575 by 575 pixels · peripheral blood smear · cropped to one leukocyte:
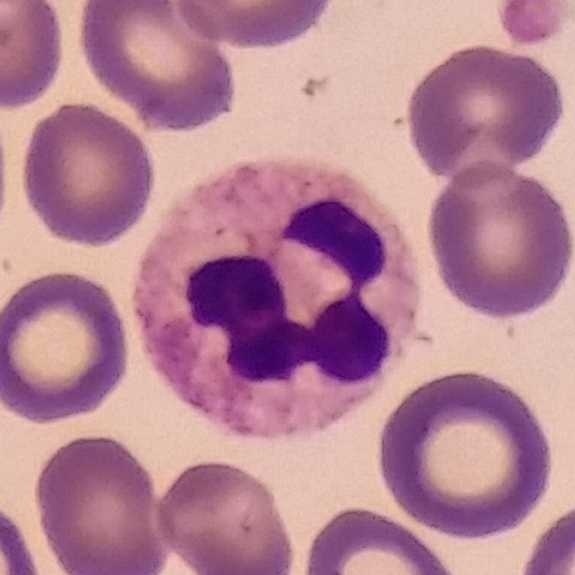 The classification is neutrophilic granulocyte.